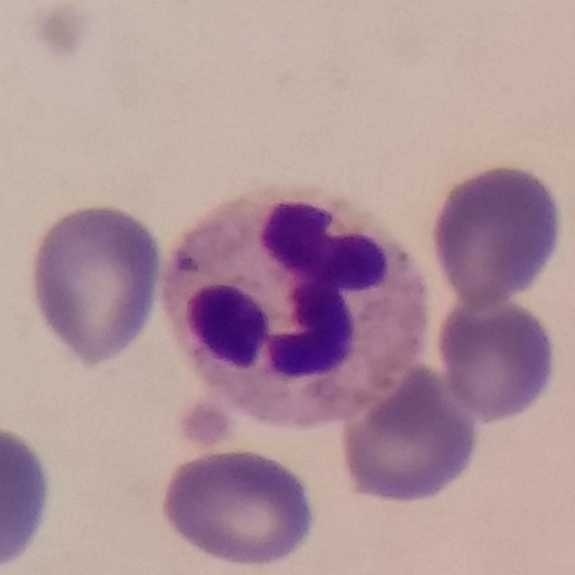 This is a neutrophil granulocyte.